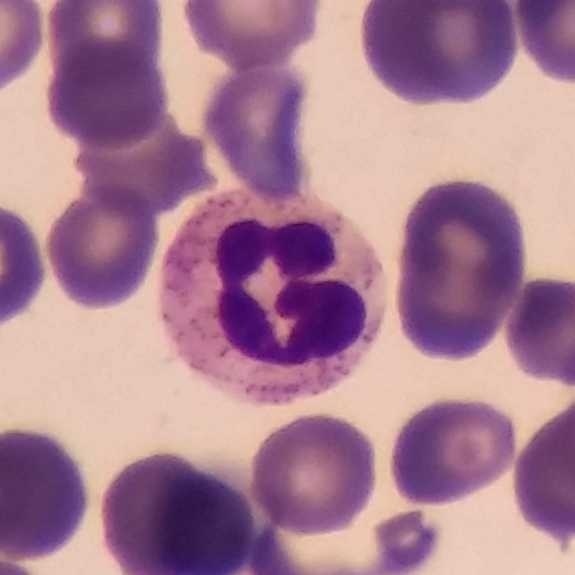White blood cell type — neutrophilic granulocyte. Acquisition: Smartphone photomicrograph; single-cell field; peripheral blood film.